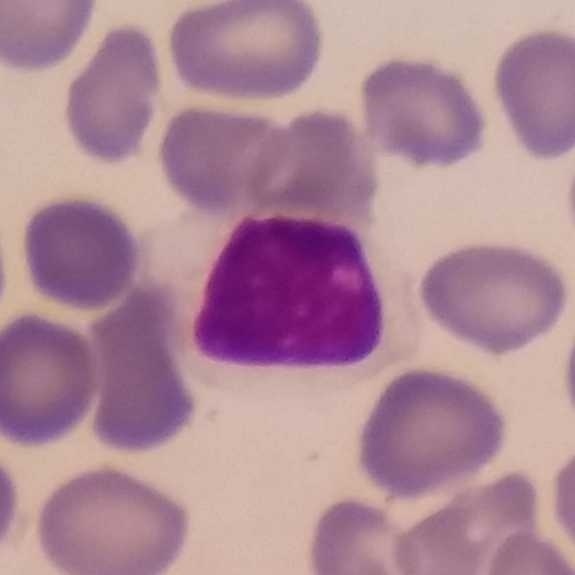

Morphological class = lymphocyte. Peripheral blood smear.